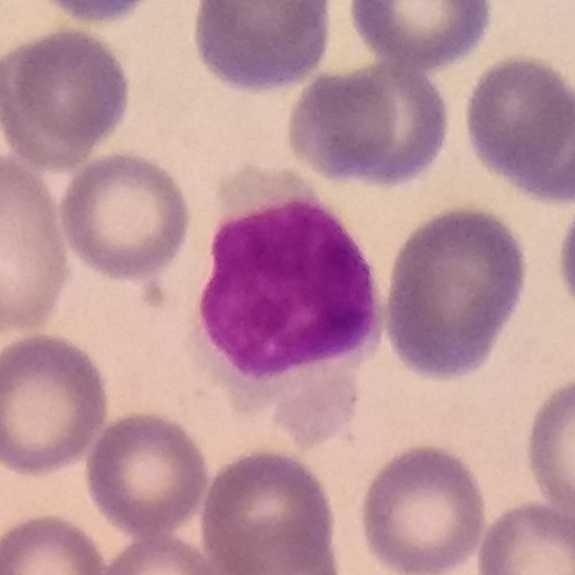Q: What cell is this?
A: A lymphocyte.

Acquisition: 575×575 · peripheral blood film.